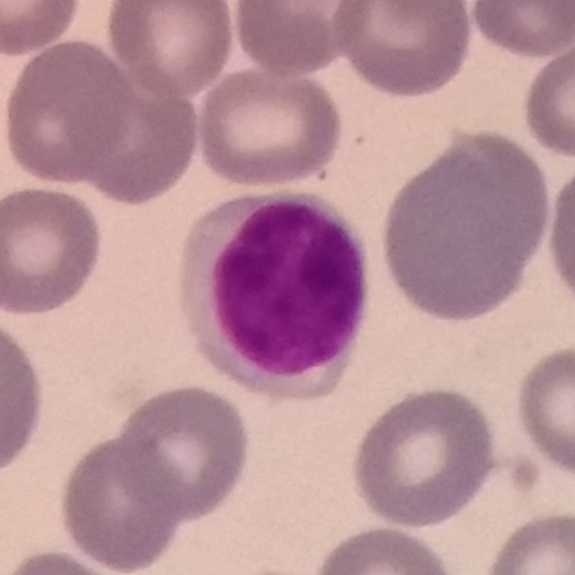
Morphology → lymphocyte.
Imaged at 100×. Peripheral blood smear. Cropped to one leukocyte.